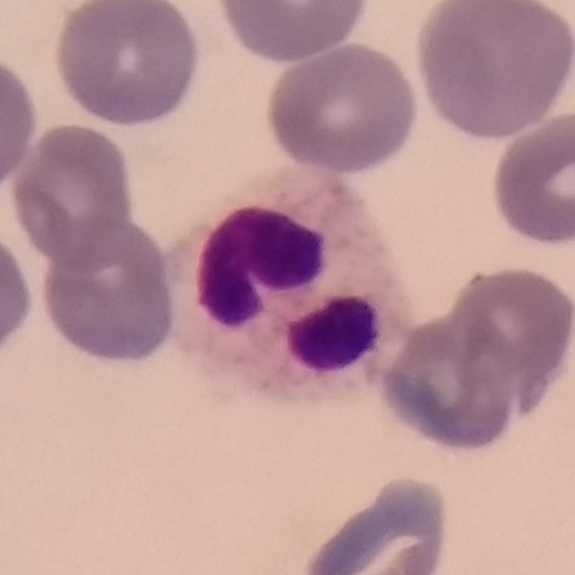 Smartphone photomicrograph; peripheral blood smear; stained with Giemsa.

Morphology → neutrophil.